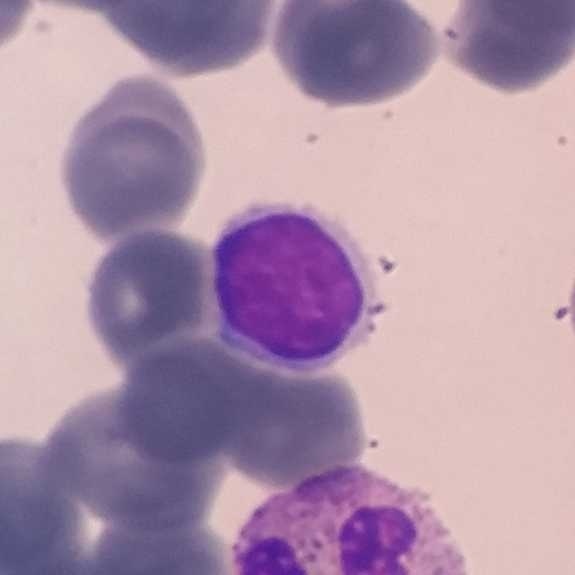 Morphological class — lymphocyte.
Acquisition: Peripheral blood film.